Phone-camera image taken through the microscope ocular; peripheral blood film: 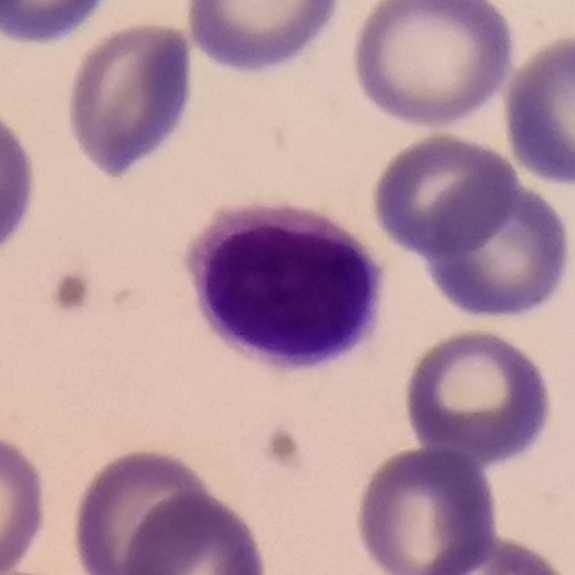 The white blood cell in this image is a lymphocyte.